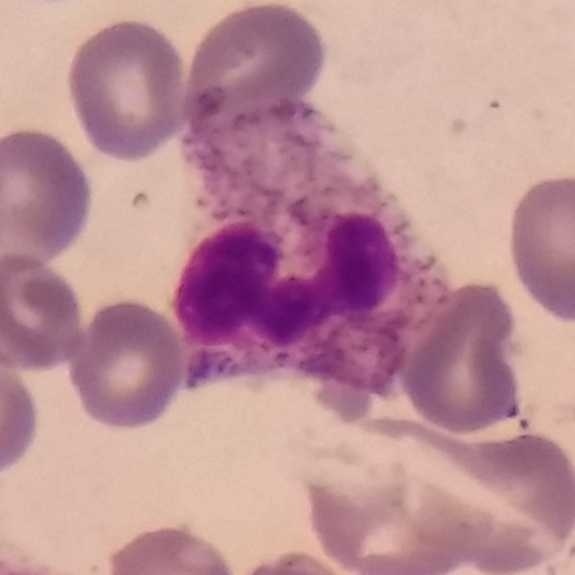 Classification — neutrophil.